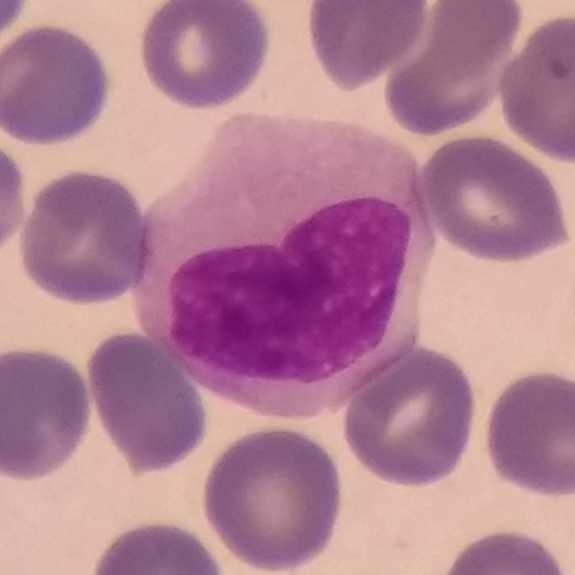Single cell identified as a monocyte.
Imaged at 100×. Peripheral blood smear.